Peripheral blood film — 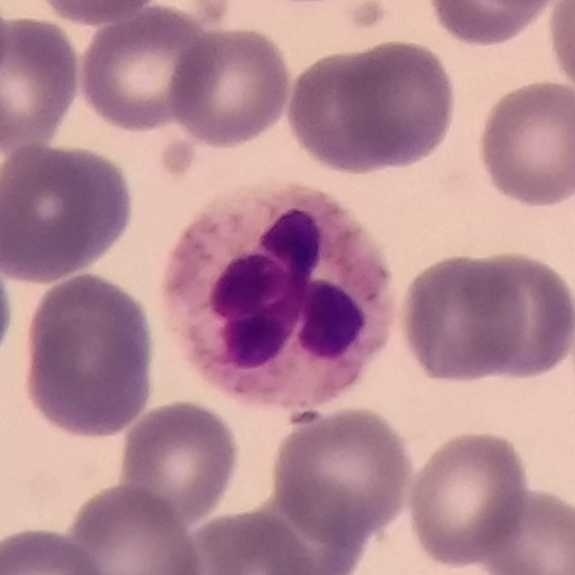

Specimen: peripheral blood film.
White blood cell type: neutrophil.